Peripheral blood film
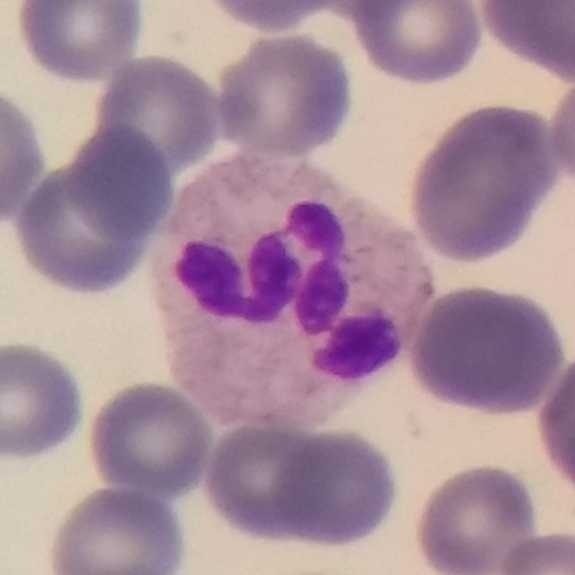Q: Which type of white blood cell is this?
A: This is a neutrophil.